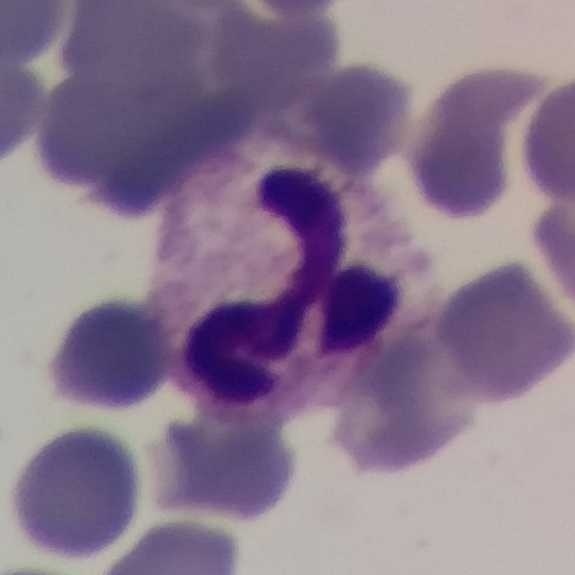

Single cell identified as a neutrophil granulocyte. Preparation: Peripheral blood film.